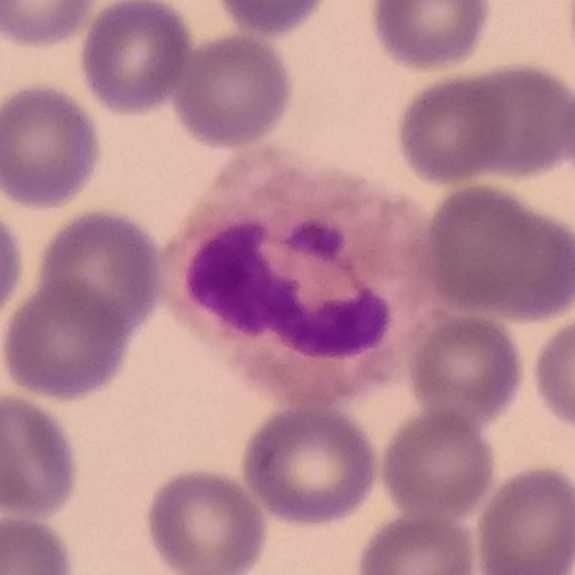 From a peripheral blood smear: a neutrophilic granulocyte.